Peripheral blood smear — 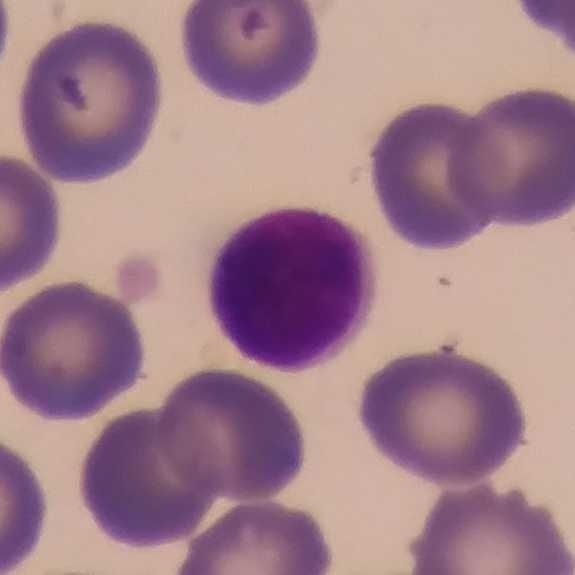

Cell type: lymphocyte.